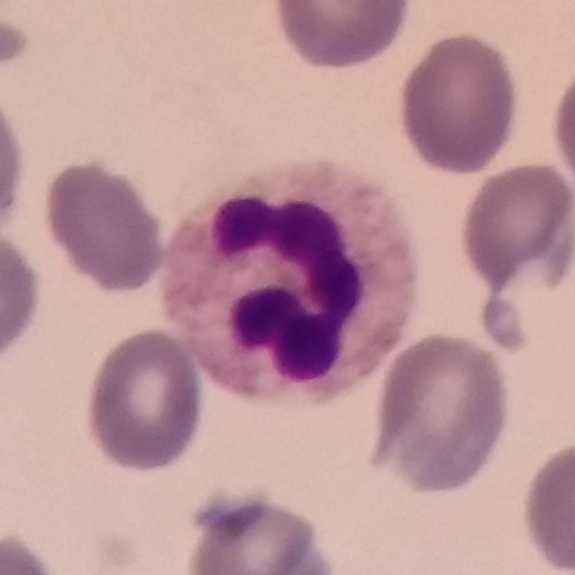
The white blood cell in this image is a neutrophilic granulocyte. Acquisition: Peripheral blood smear.